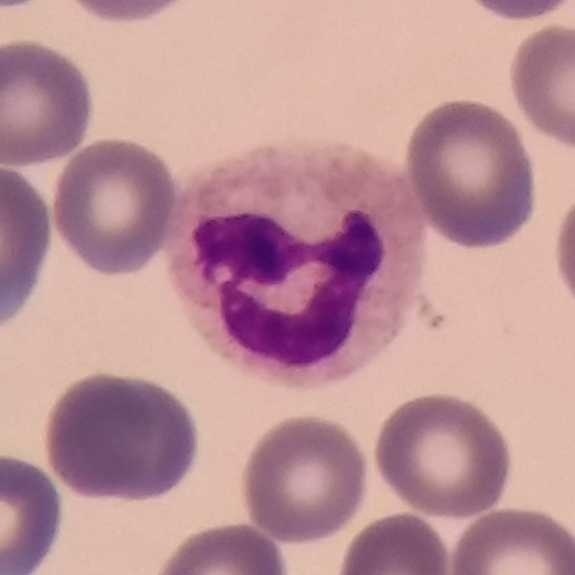

Q: Classify this leukocyte.
A: Neutrophil.
Preparation: Peripheral blood smear.